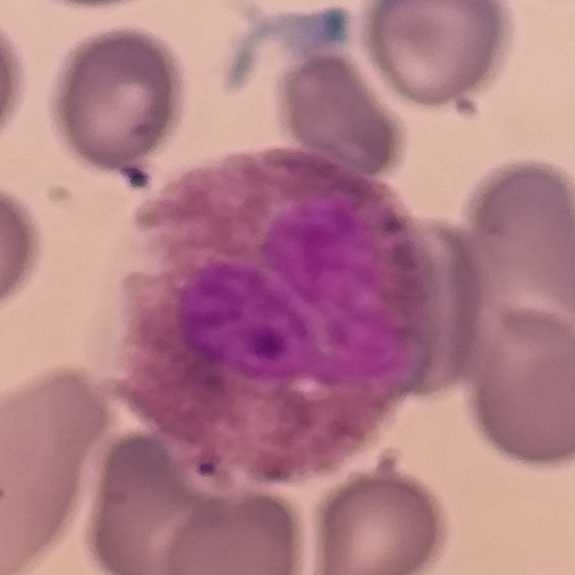Peripheral blood smear · imaged at 100×.
Cell type = eosinophilic granulocyte.